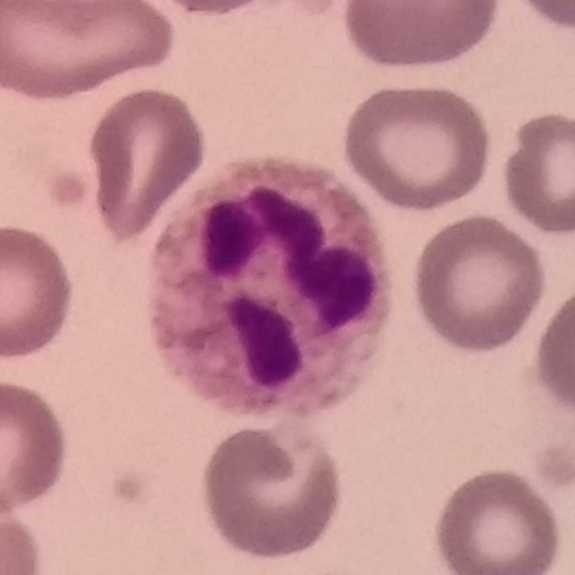

The cell shown is a neutrophilic granulocyte.

100× magnification · peripheral blood film · cropped to one leukocyte.